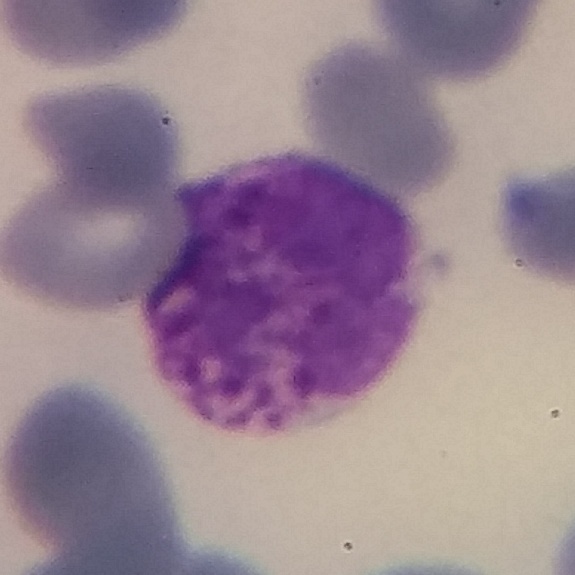

Single cell identified as a basophil.